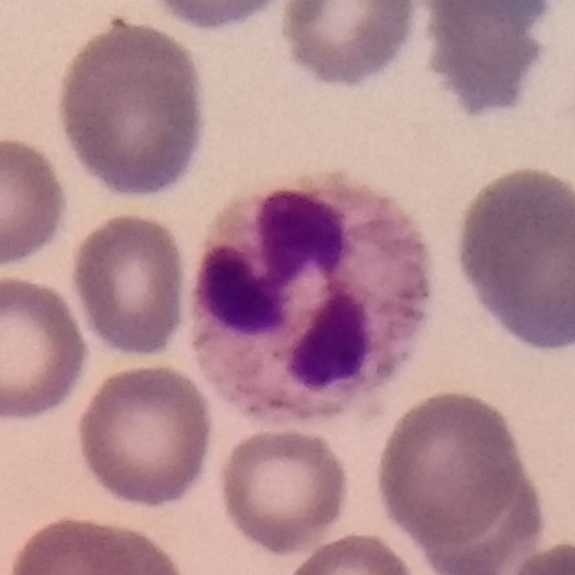 Showing a neutrophil.